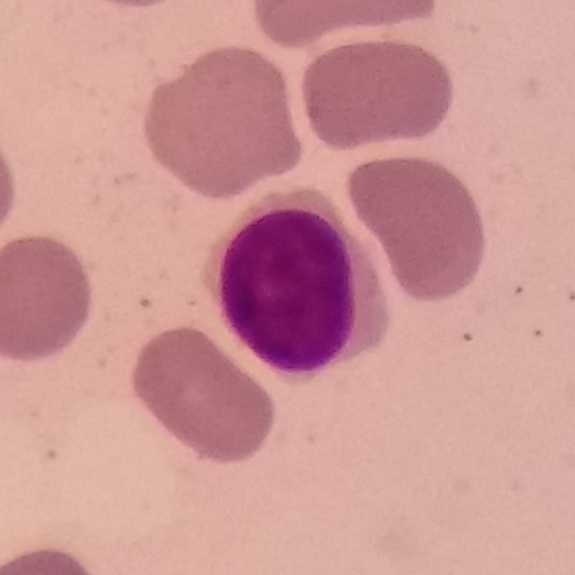 The cell type is lymphocyte.